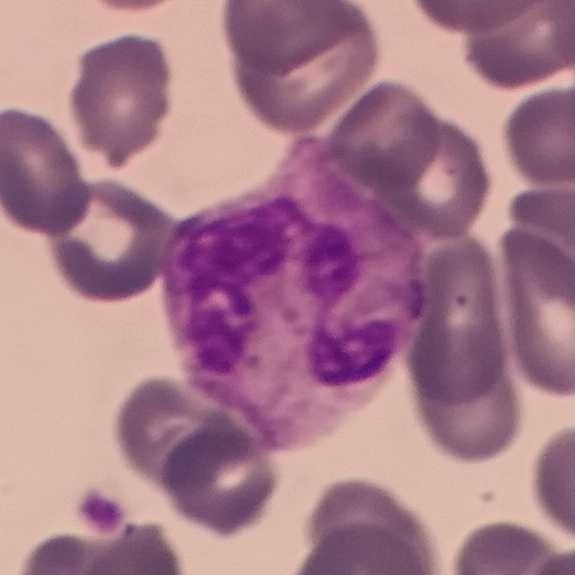

Cell = neutrophilic granulocyte. Single white blood cell cropped from the smear photograph · peripheral blood film · image size 575×575.